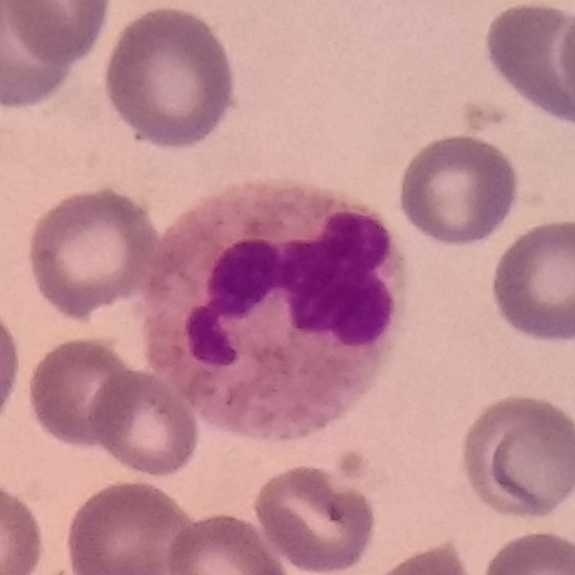

White blood cell from a peripheral blood smear: neutrophilic granulocyte.